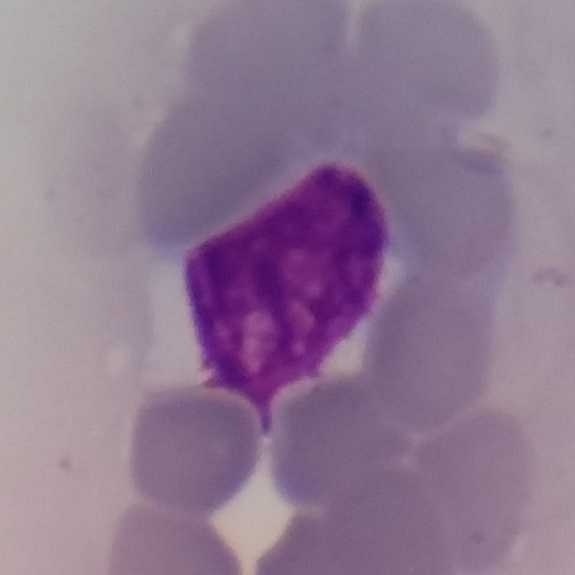 Classification — lymphocyte. Image: 100× magnification. Peripheral blood smear. Giemsa-stained.